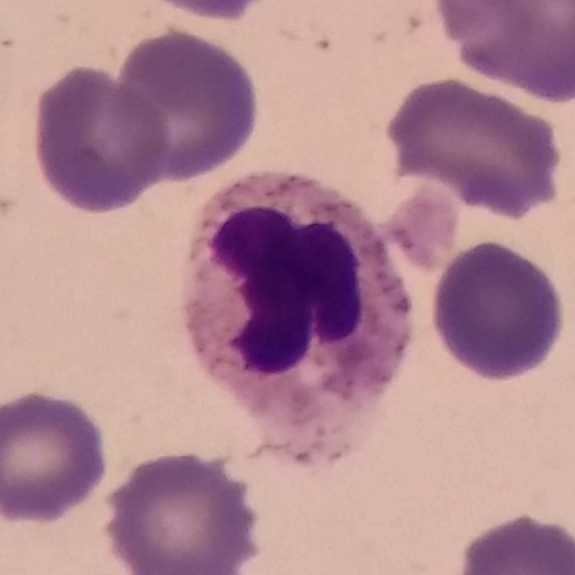 Peripheral blood smear. Classification = neutrophilic granulocyte.